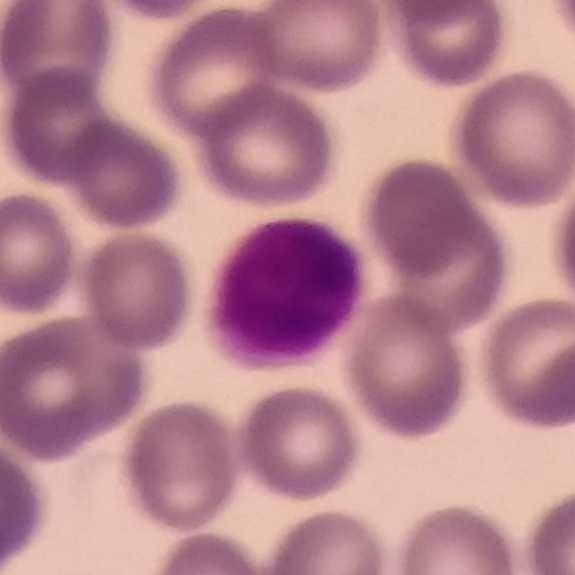
Morphological class — lymphocyte.